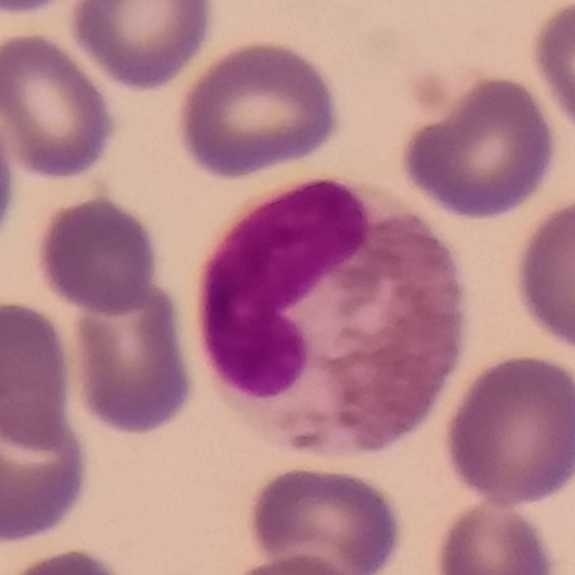

Single cell identified as an eosinophil.
Image: Peripheral blood smear.